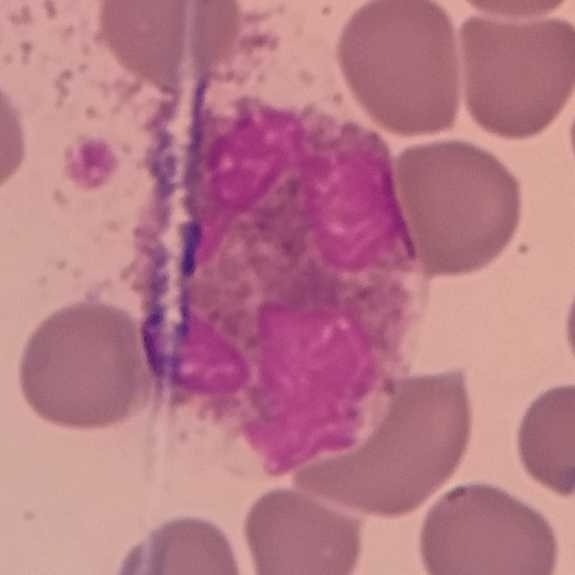
Morphology → eosinophil.